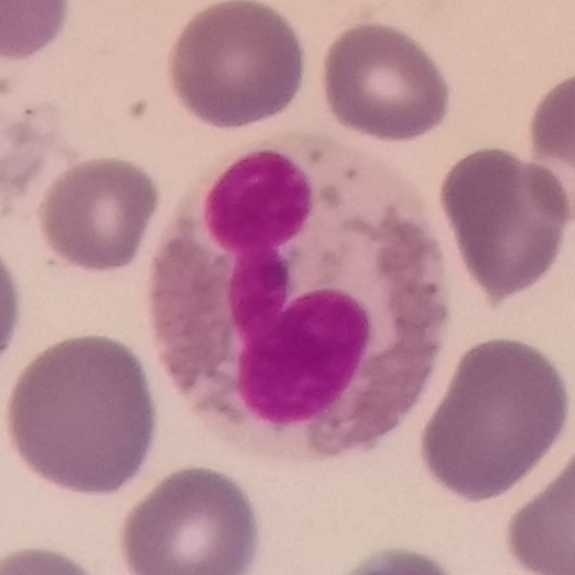
Morphological class = eosinophil.
Preparation: Phone-camera image taken through the microscope ocular. Peripheral blood film.